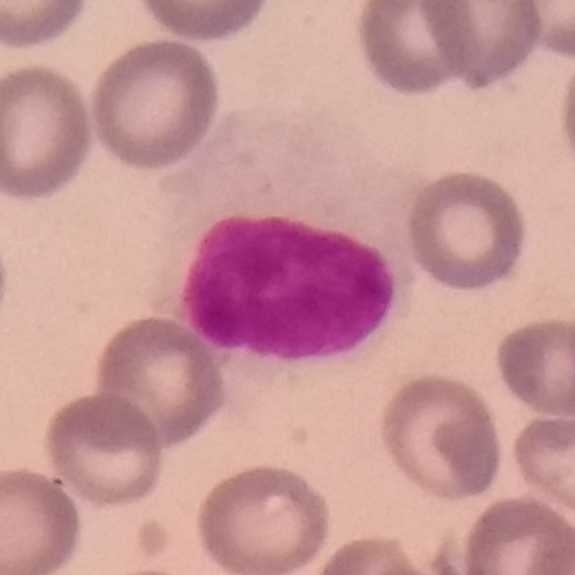Cropped to one leukocyte · peripheral blood smear. White blood cell type — lymphocyte.